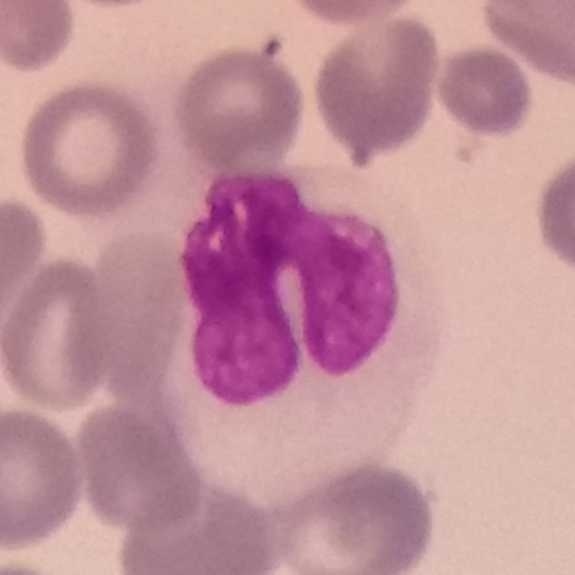
The cell shown is a monocyte.

Context: Peripheral blood smear.